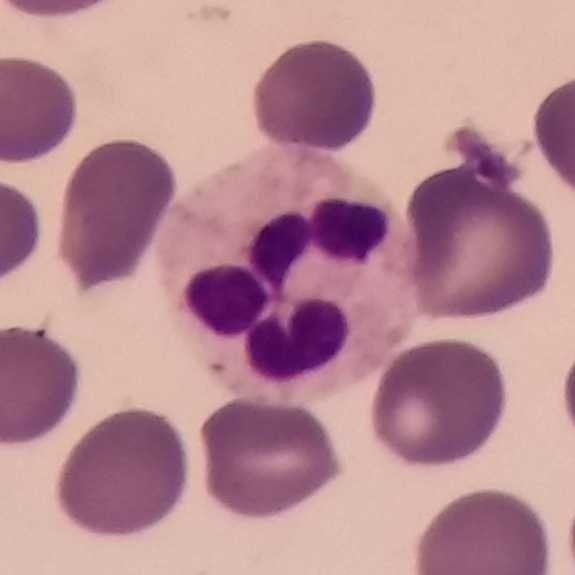
Image: 575×575. Peripheral blood film. Cropped to one leukocyte. The white blood cell in this image is a neutrophil granulocyte.